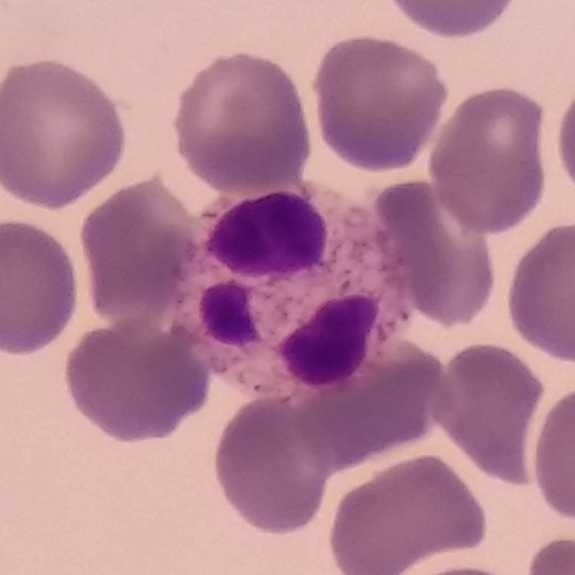Smartphone camera mounted on the microscope eyepiece; peripheral blood smear.
Q: What is shown here?
A: It is a neutrophilic granulocyte.